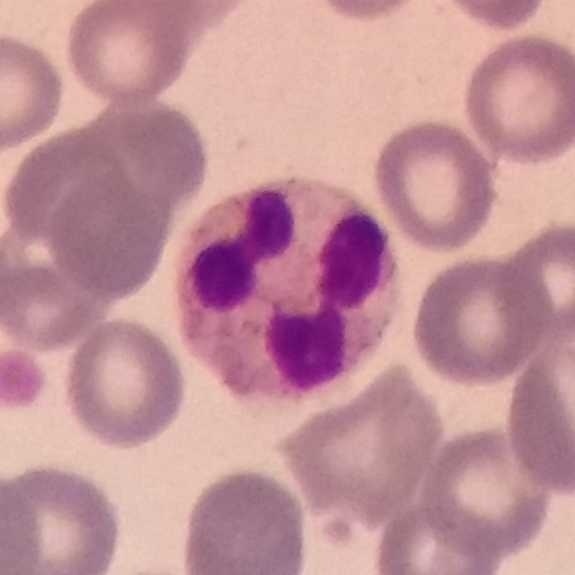Morphology consistent with a neutrophil.
Peripheral blood smear.